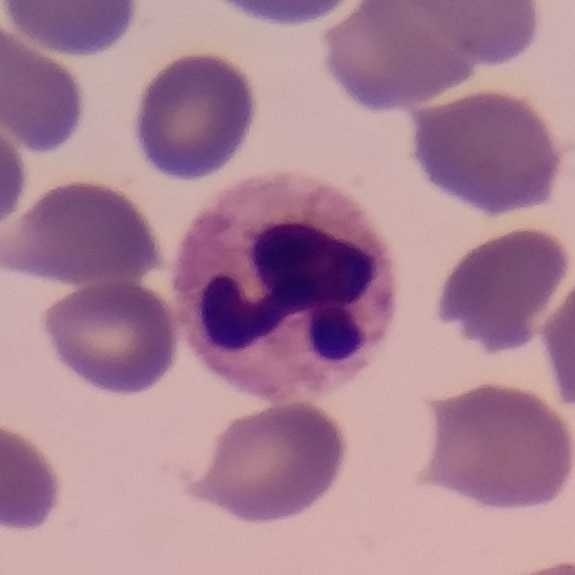Q: Which cell type is shown here?
A: Neutrophil granulocyte.